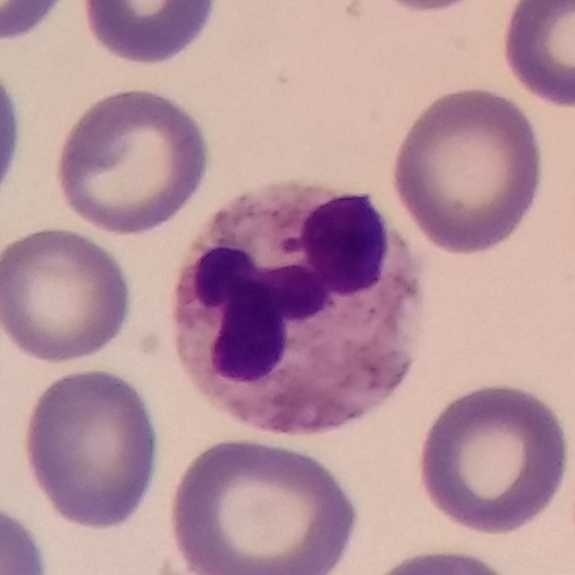

Specimen: peripheral blood smear.
Classification: neutrophilic granulocyte.
Lineage: myeloid.